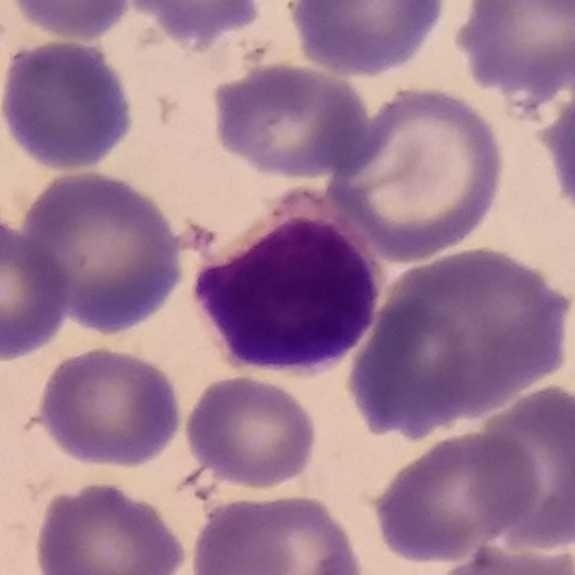Cropped to one leukocyte. Peripheral blood smear. Classification — lymphocyte.